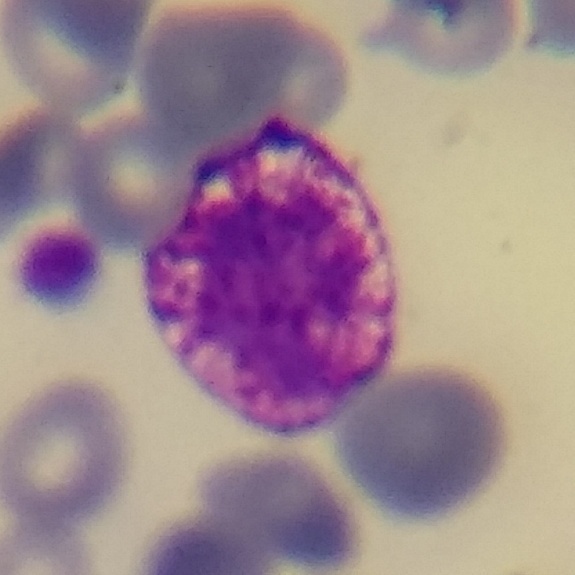
Specimen: peripheral blood smear.
Cell type: basophilic granulocyte.